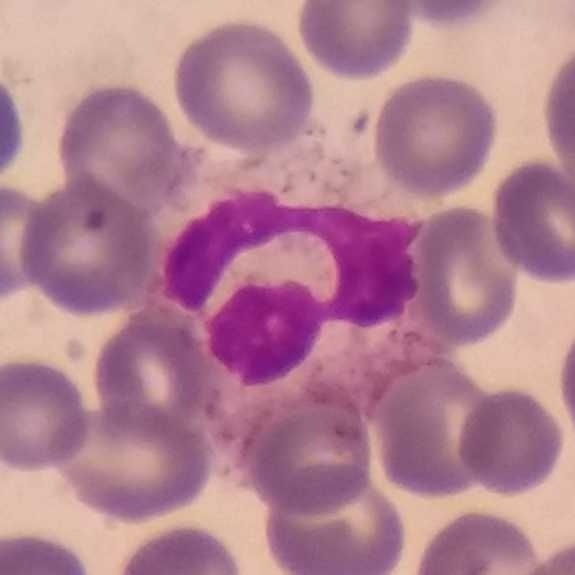
The white blood cell type is neutrophilic granulocyte.